Peripheral blood smear: 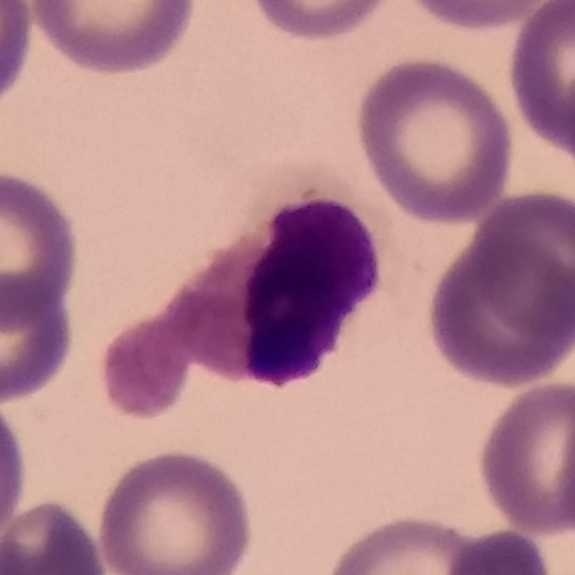 Q: What is the morphological classification of this cell?
A: A lymphocyte.